Peripheral blood smear. Giemsa stain. Single-cell field: 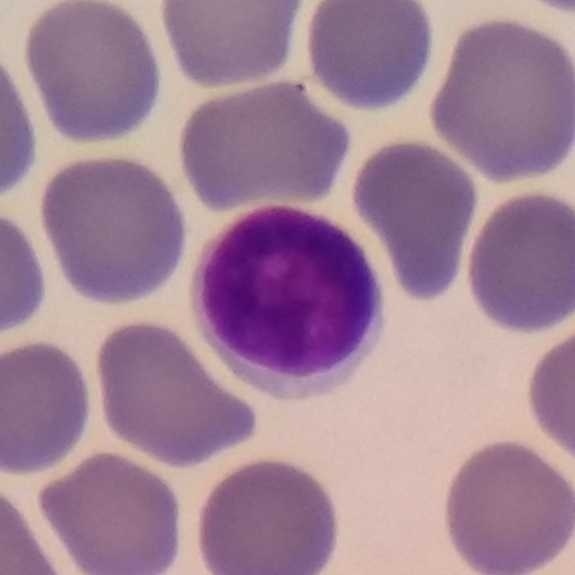

{"cell_type": "lymphocyte"}